Peripheral blood smear · stained with Giemsa
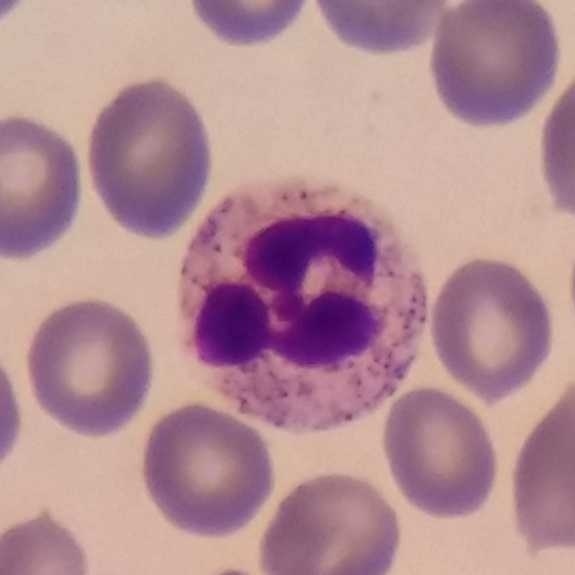
The cell is neutrophil granulocyte.